Peripheral blood smear · Giemsa stain — 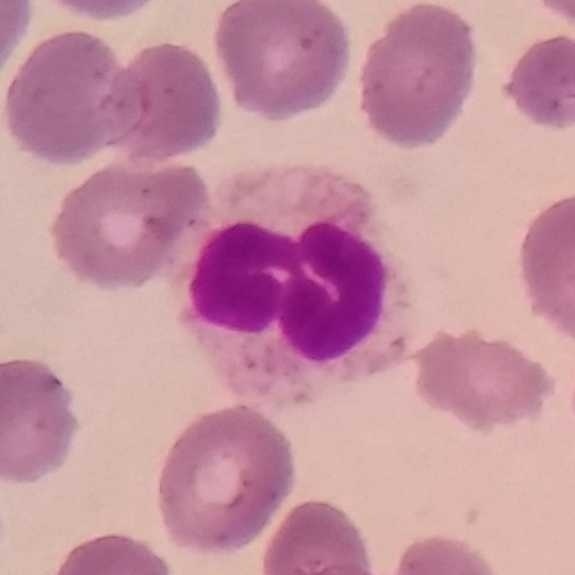
Morphological class — neutrophilic granulocyte.